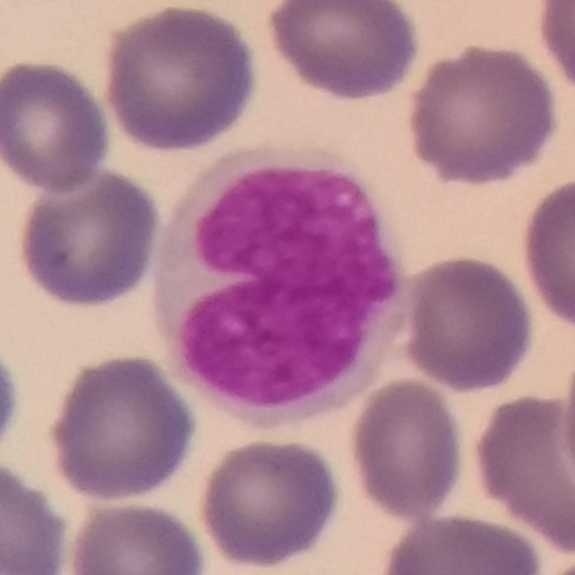 Impression → monocyte.